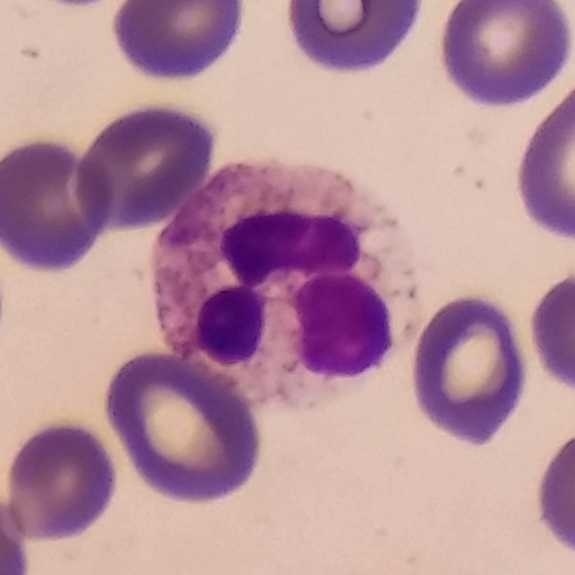Peripheral blood film.
Q: Which type of white blood cell is this?
A: Neutrophil granulocyte.